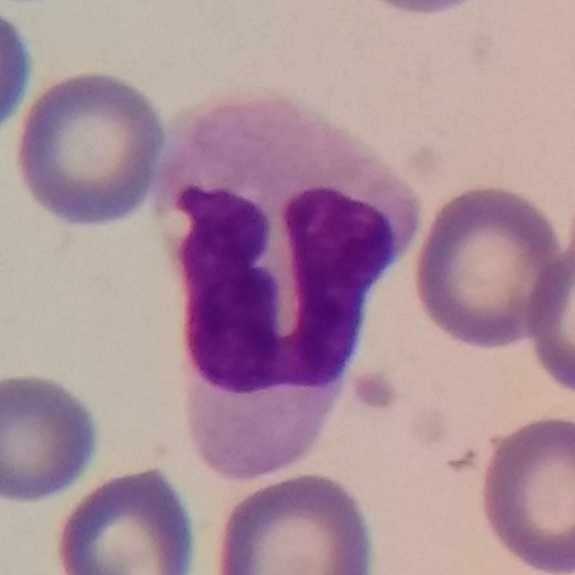
Specimen: peripheral blood film.
Cell type: monocyte.
Lineage: myeloid.

Image: Single-cell field. 100× magnification.